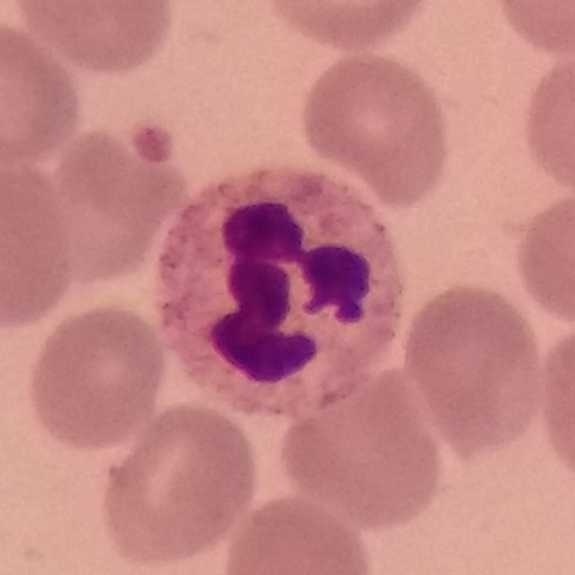The morphological class is neutrophil granulocyte.